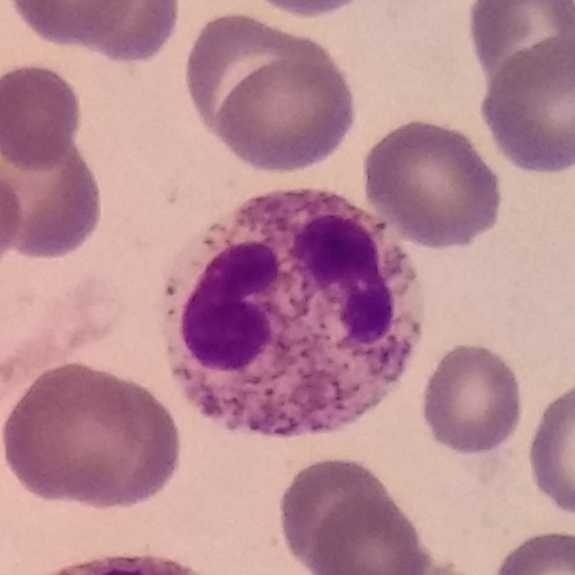

Context: Peripheral blood film · Giemsa-stained · 100× magnification. Impression — neutrophil granulocyte.